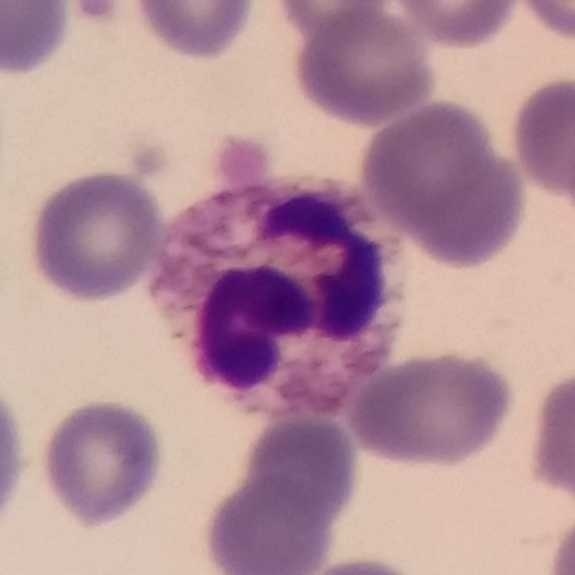

Showing a neutrophil granulocyte.

Acquisition: 575×575 · peripheral blood smear · 100× magnification.